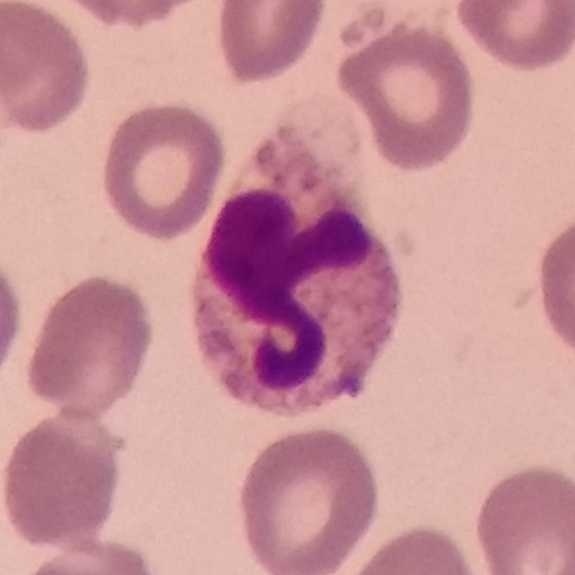 Q: Which type of white blood cell is this?
A: Neutrophil granulocyte. Image: Photographed through a light microscope with a smartphone camera; peripheral blood smear.